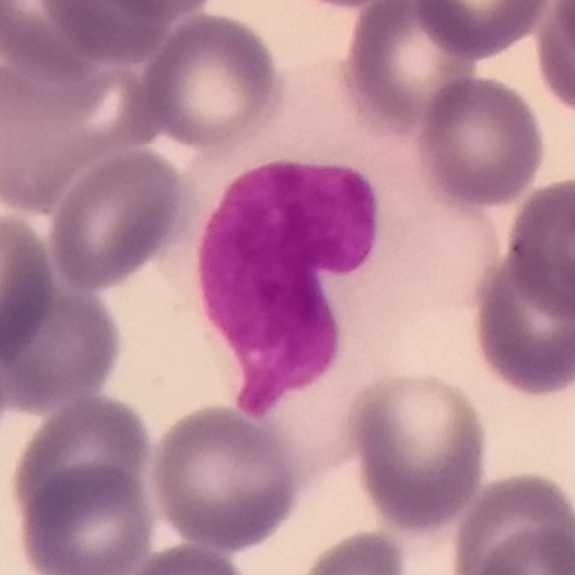Morphology → monocyte.

Context: Peripheral blood film · smartphone photomicrograph · cropped to one leukocyte.